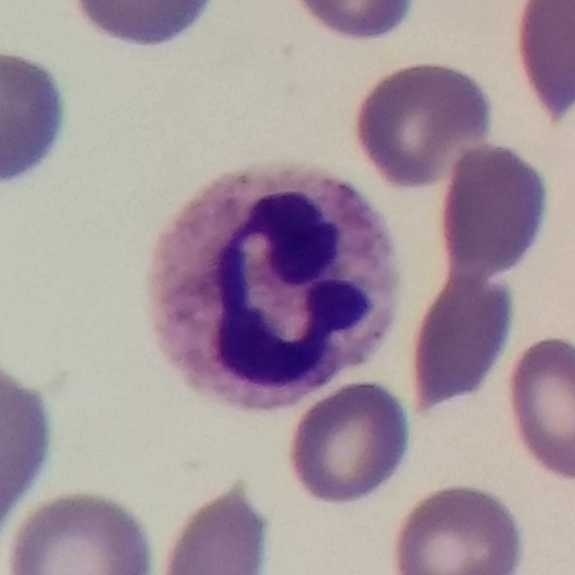 Q: What is the morphological classification of this cell?
A: It is a neutrophil.
Peripheral blood smear. Photographed through a light microscope with a smartphone camera. Stained with Giemsa.